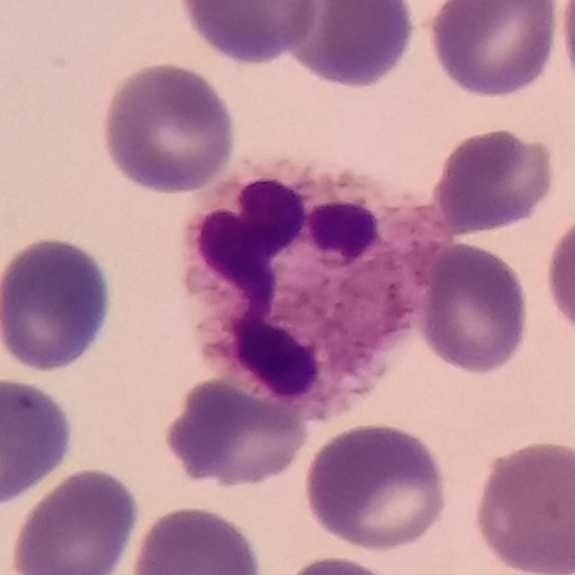
This is a neutrophil granulocyte.

Image: Single-cell crop; peripheral blood film.